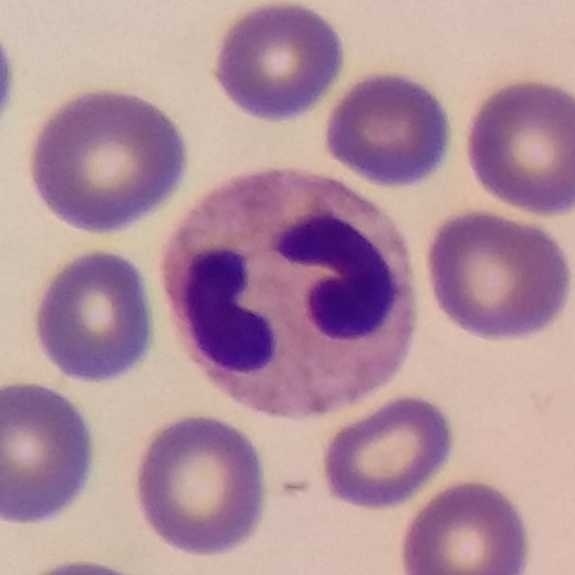Peripheral blood film.

Cell type: neutrophilic granulocyte.